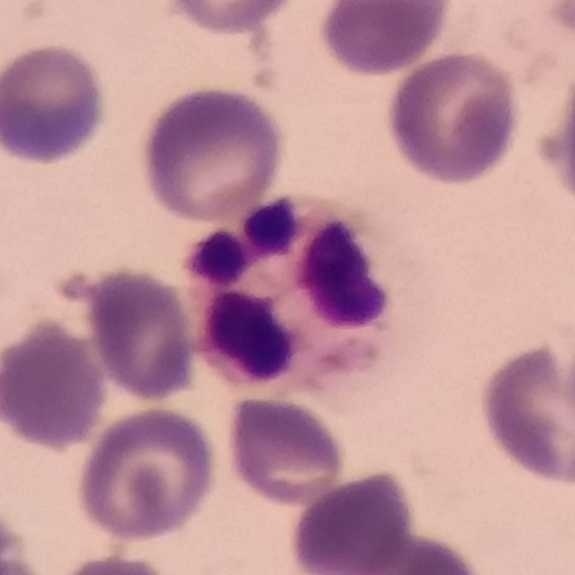Q: What is shown here?
A: This is a neutrophil.